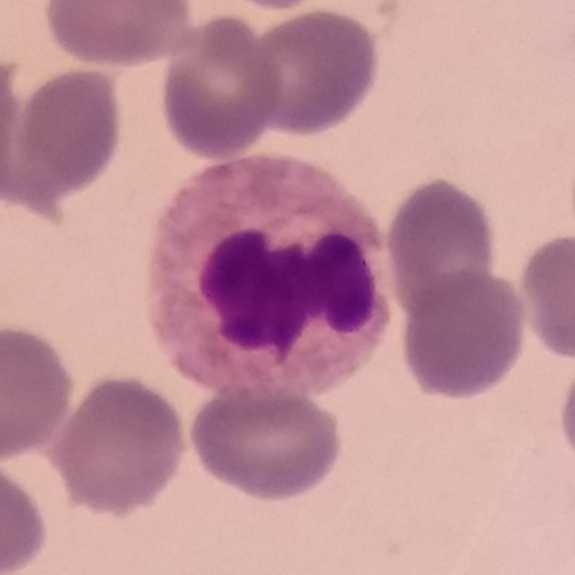Preparation: Image size 575×575.

Specimen: peripheral blood film.
Classification: neutrophil granulocyte.